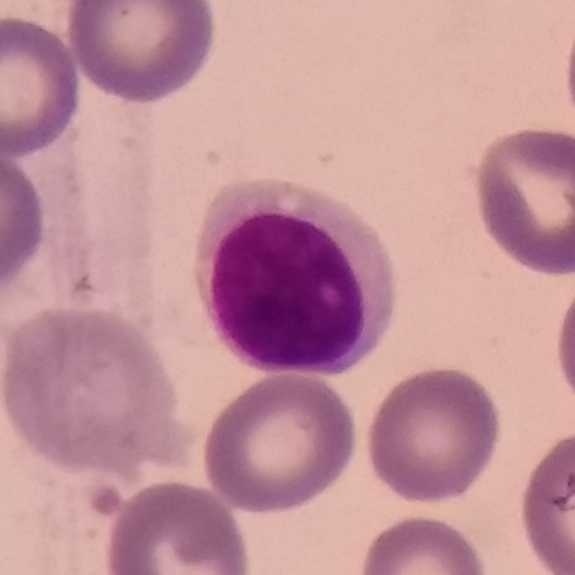

The white blood cell in this image is a lymphocyte.
Image size 575×575. Giemsa stain. Peripheral blood film.